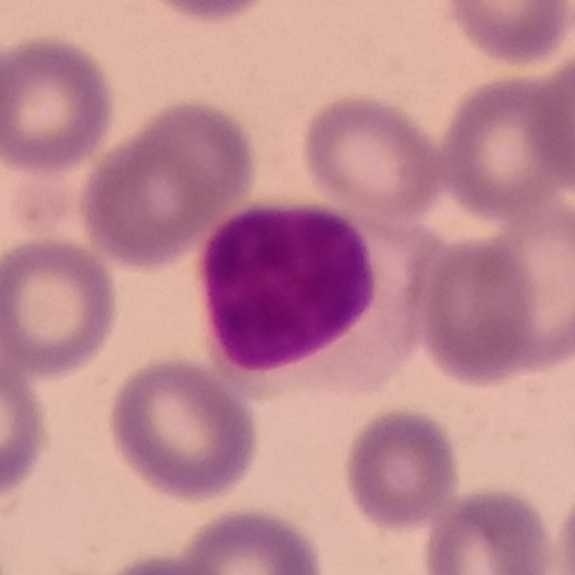 The white blood cell type is lymphocyte.